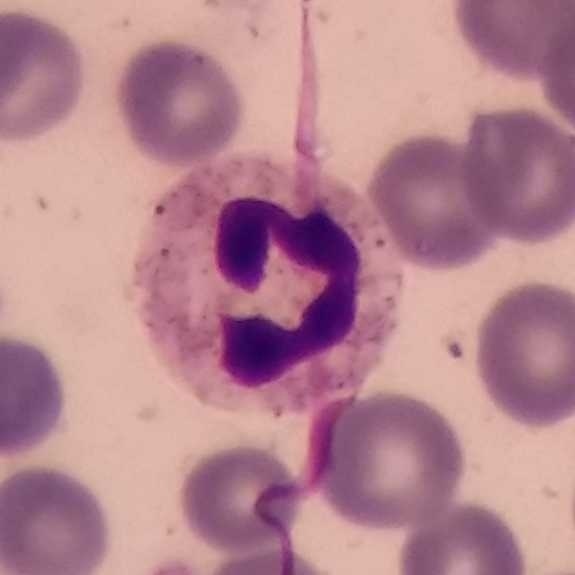

Morphological class = neutrophil.
Preparation: Peripheral blood smear.